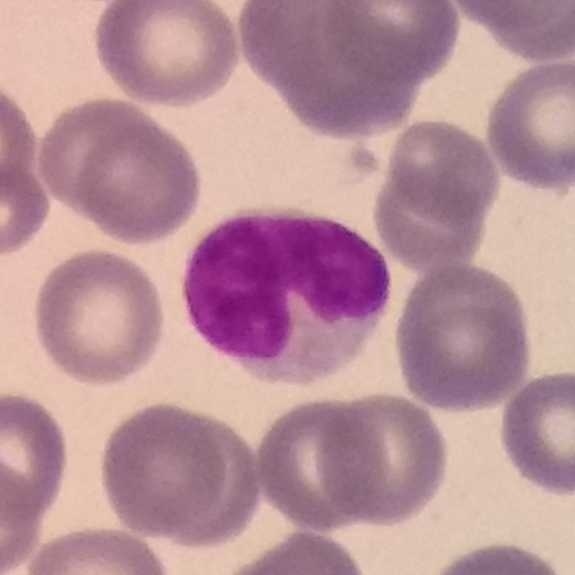Image: Peripheral blood smear. Photographed through a light microscope with a smartphone camera. Q: What is this?
A: Monocyte.